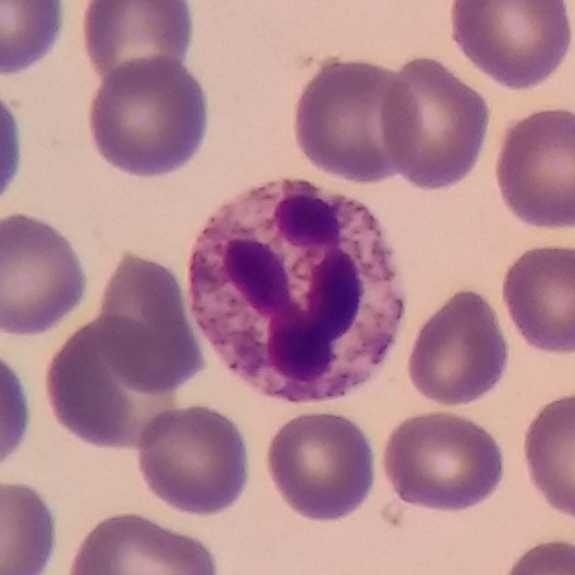

Specimen: peripheral blood film.
Morphological class: neutrophil granulocyte.
Lineage: myeloid.